Peripheral blood smear · smartphone camera mounted on the microscope eyepiece: 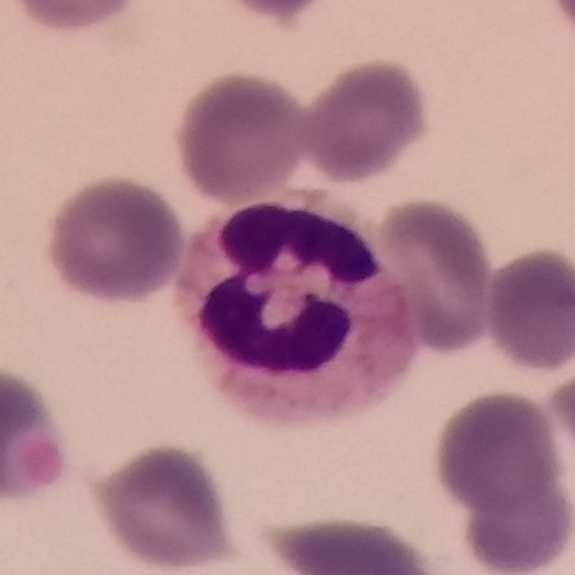Showing a neutrophilic granulocyte.